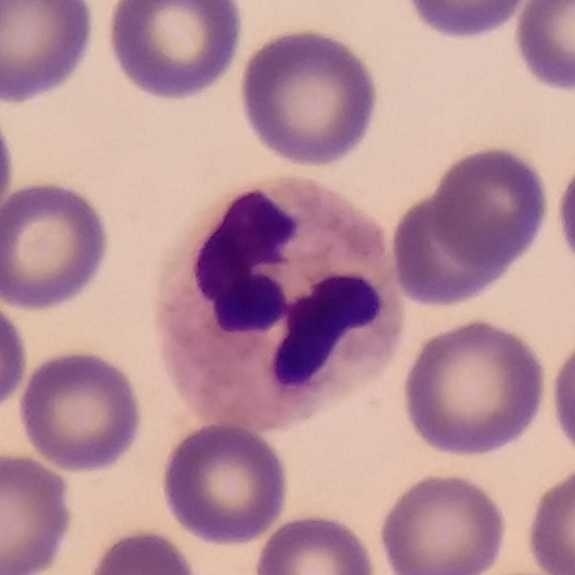

Morphological class: neutrophil. Peripheral blood film.